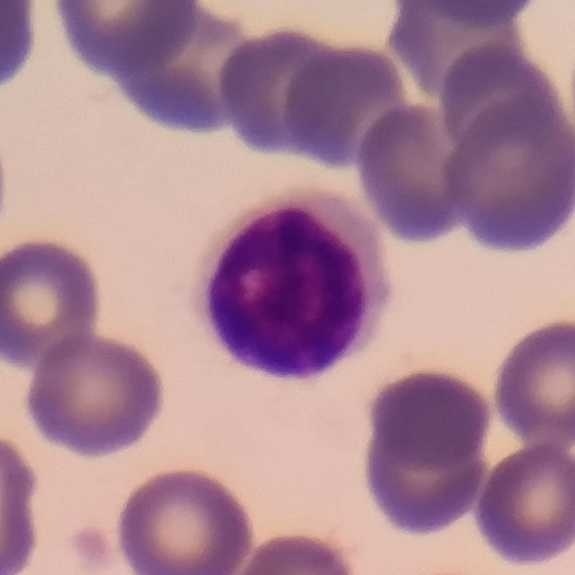

Peripheral blood smear.

Morphology consistent with a lymphocyte.